Peripheral blood smear:
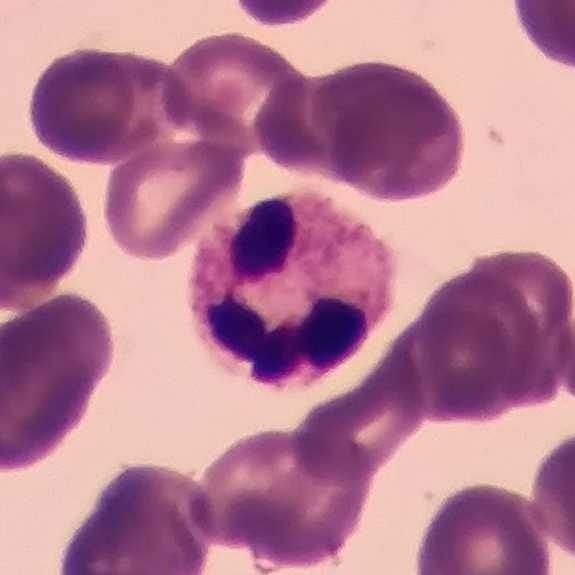 Specimen: peripheral blood smear.
Classification: neutrophilic granulocyte.